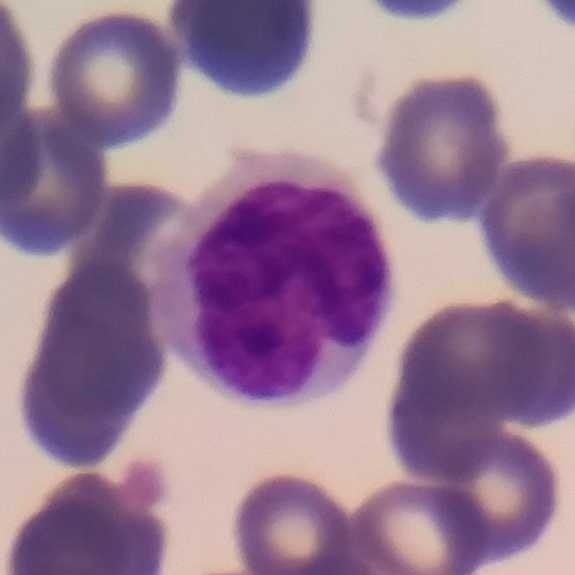
Acquisition: Single-cell field. Peripheral blood film.
Classification = lymphocyte.